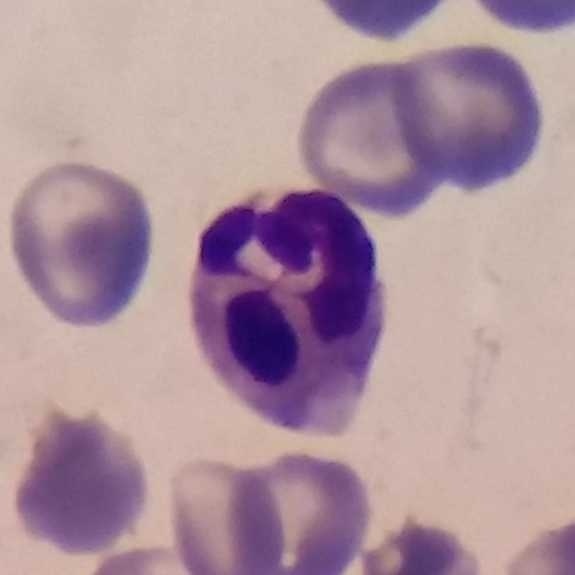Peripheral blood smear.
Impression → neutrophil.